Peripheral blood smear
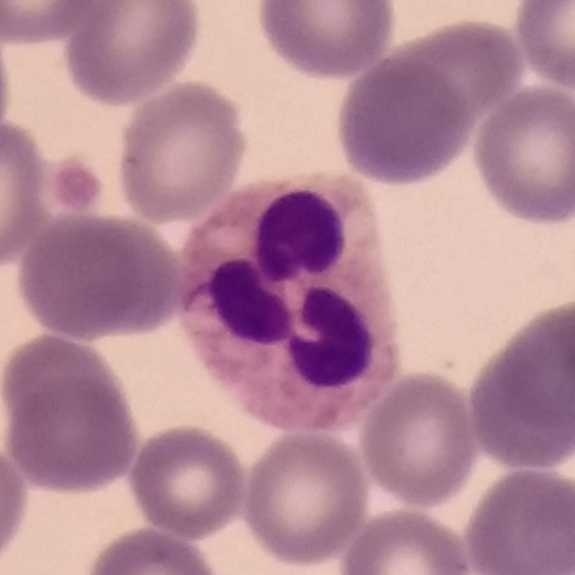 Specimen: peripheral blood smear.
Cell: neutrophilic granulocyte.